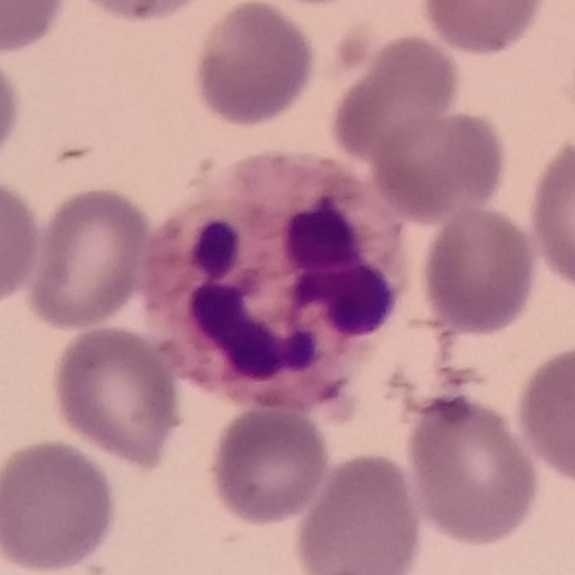
This is a neutrophil granulocyte.
Context: Single-cell crop · peripheral blood smear.